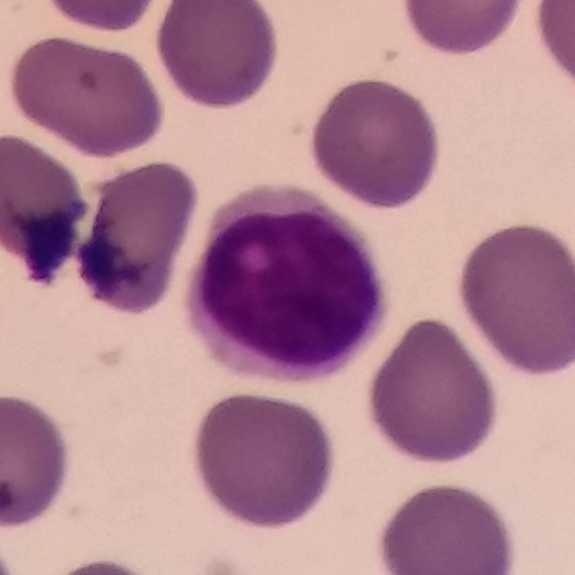The white blood cell type is lymphocyte.
Image: Peripheral blood film.